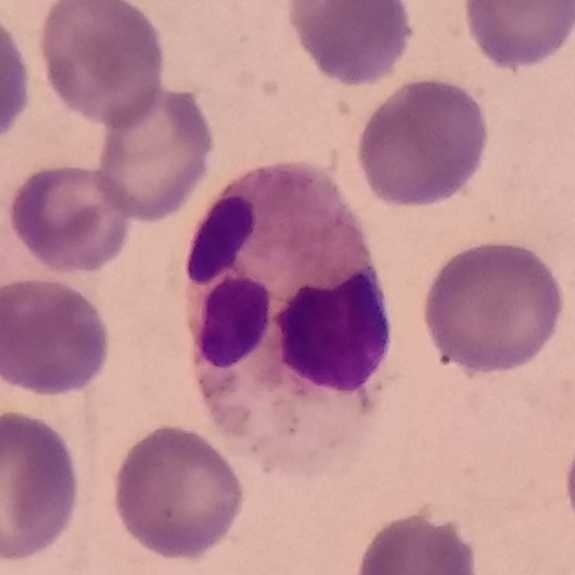 Cell type: neutrophil granulocyte.